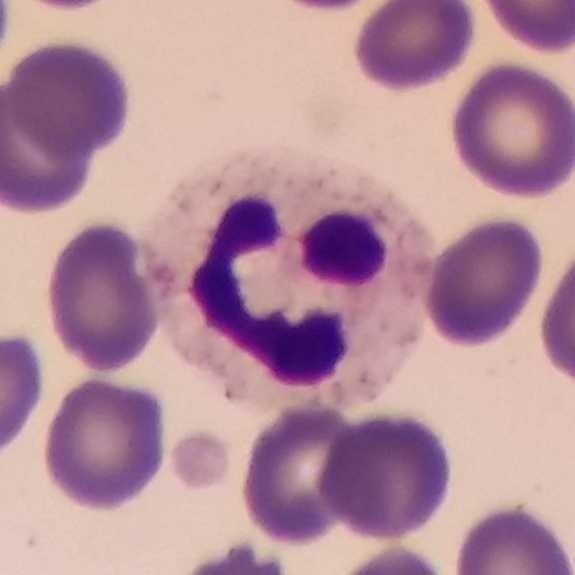

Peripheral blood film · Giemsa-stained.

Impression → neutrophilic granulocyte.